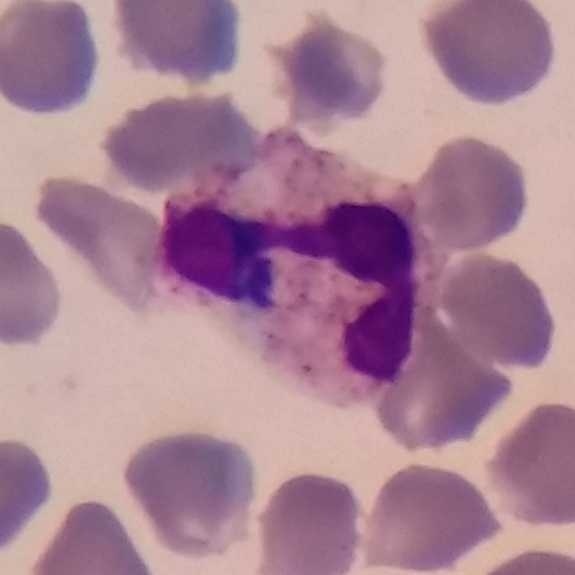 Preparation: Peripheral blood smear.

Q: Classify this leukocyte.
A: Neutrophilic granulocyte.